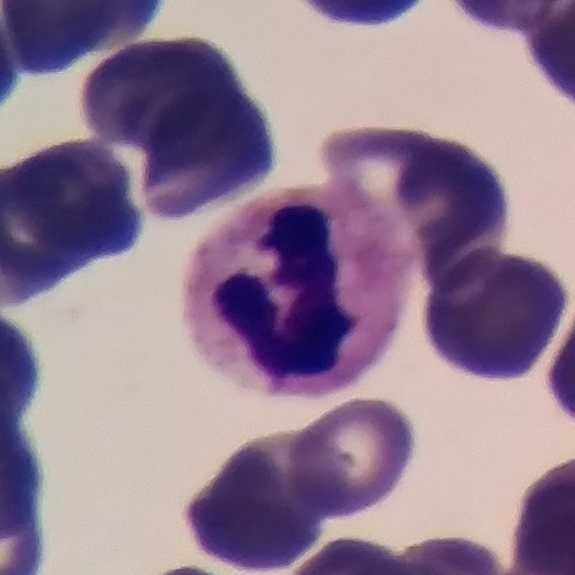

Image: Peripheral blood film.
Q: Which type of white blood cell is this?
A: Neutrophil granulocyte.